Peripheral blood film. Imaged at 100×:
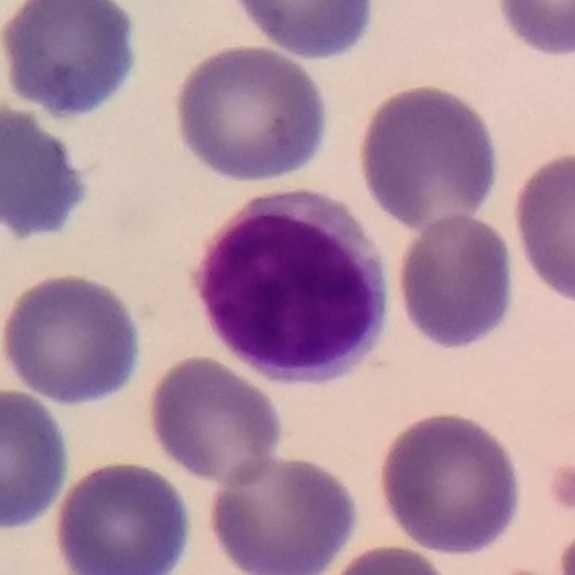This is a lymphocyte.